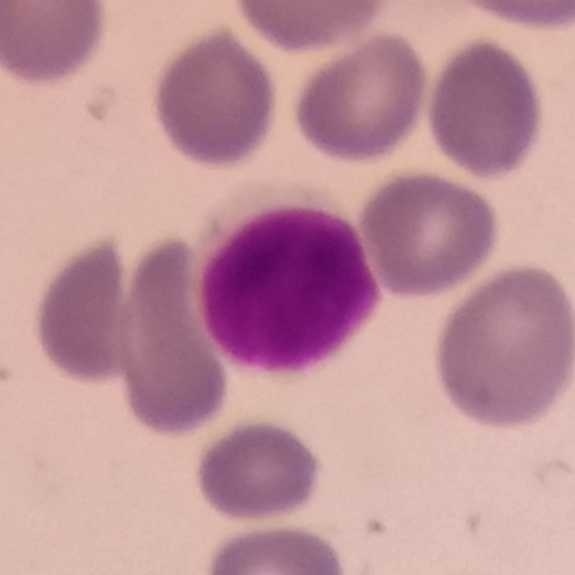

Morphological class: lymphocyte. Preparation: Peripheral blood film.